Single-cell crop. Peripheral blood smear: 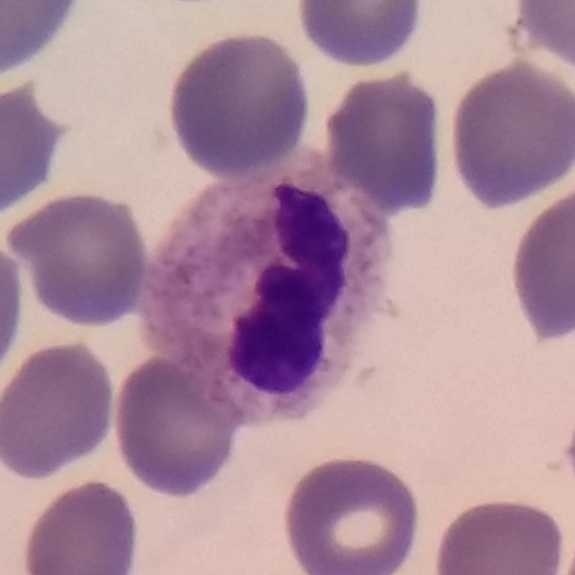
Classification: neutrophil granulocyte.